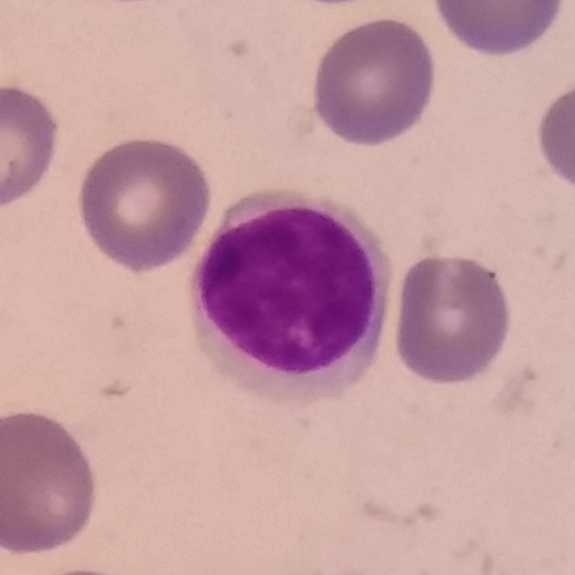

Showing a lymphocyte.